Peripheral blood film
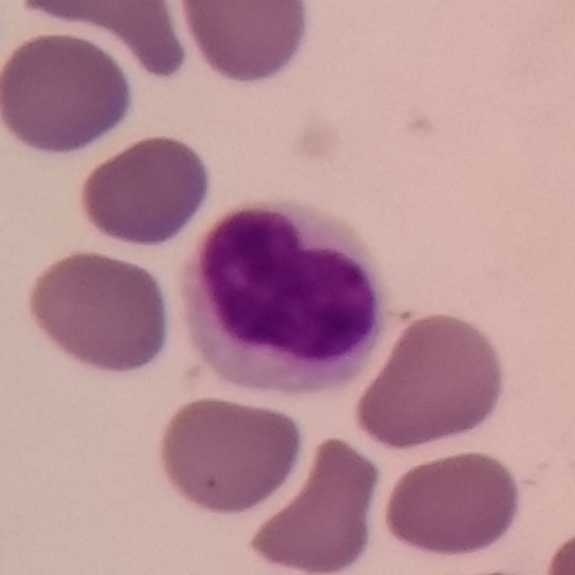
Cell: lymphocyte.